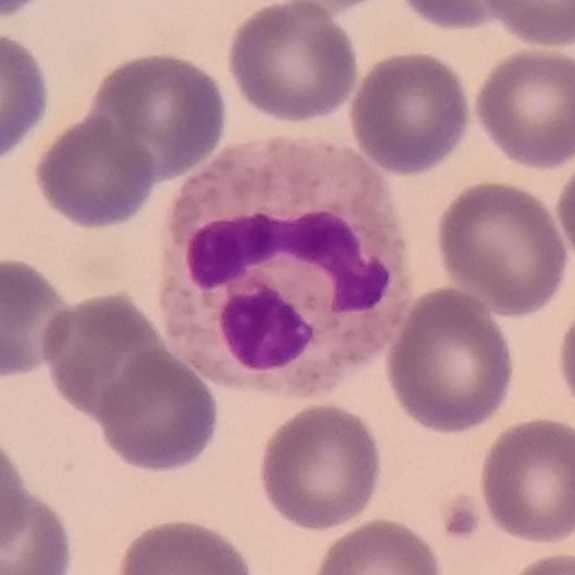
Stained with Giemsa · 575×575 · peripheral blood film.

Identified as a neutrophilic granulocyte.